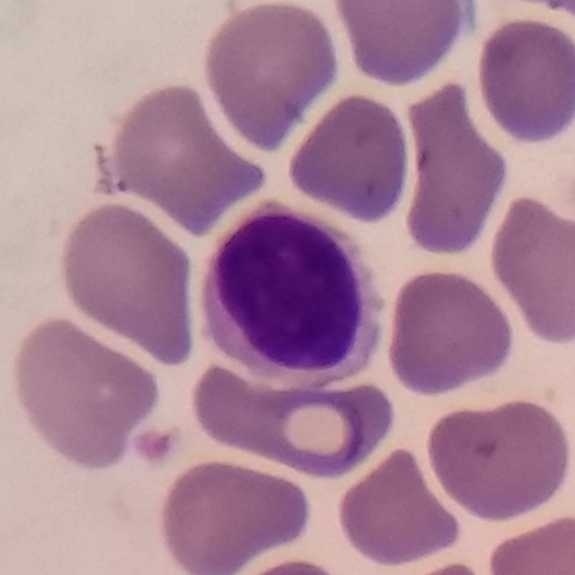 White blood cell from a peripheral blood smear: lymphocyte.